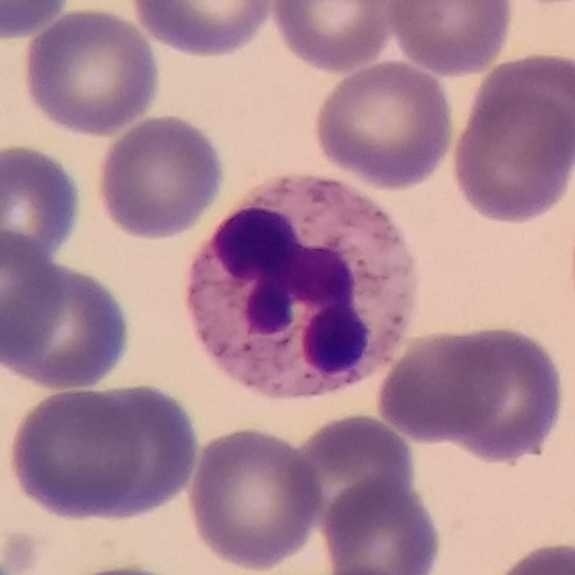

Classification = neutrophil granulocyte.